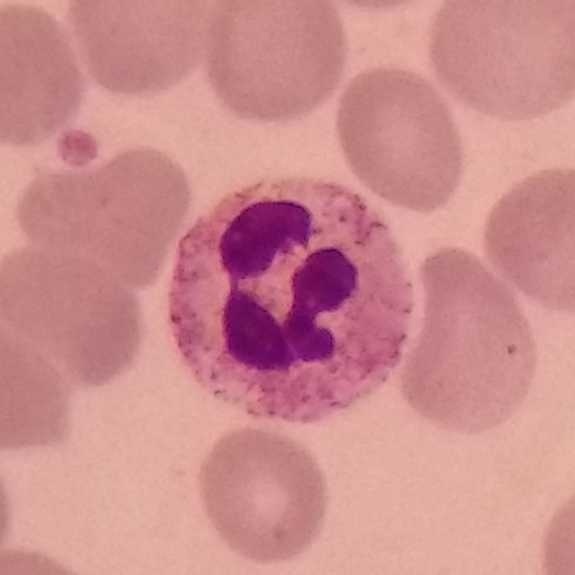 Morphology — neutrophil granulocyte.
Preparation: Peripheral blood film.